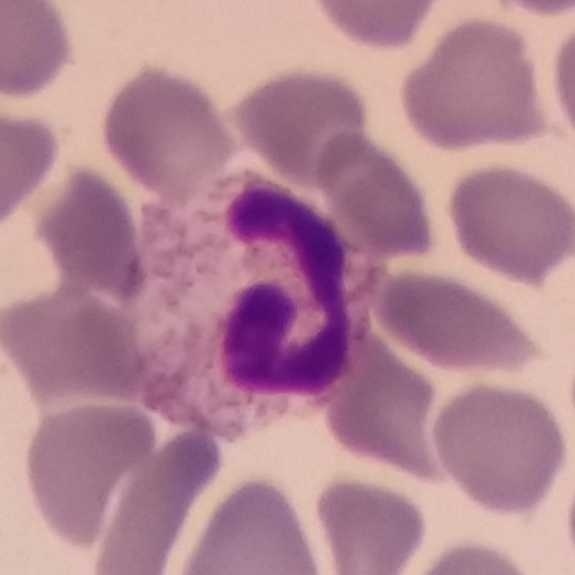Q: Classify this leukocyte.
A: A neutrophil.
Preparation: Imaged at 100×. Peripheral blood smear.